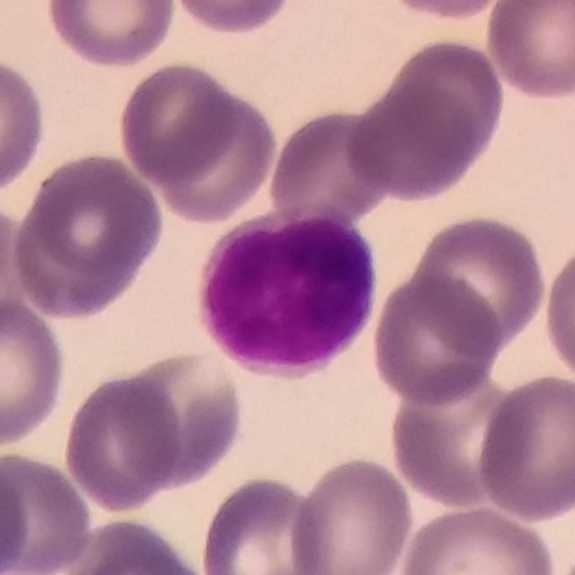Lymphocyte. Peripheral blood smear.